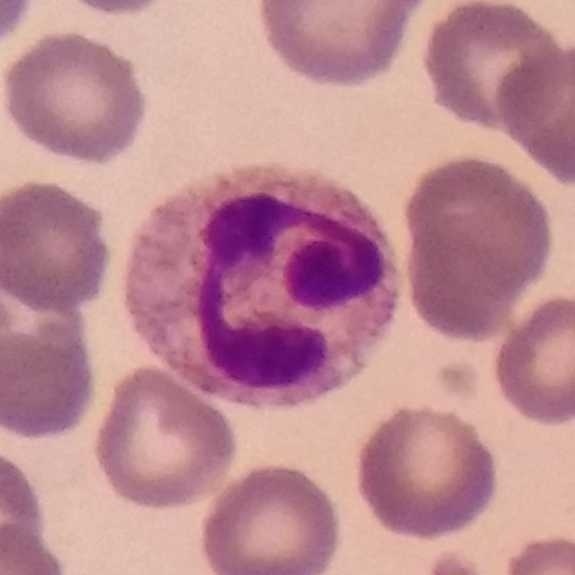

Cell = neutrophil granulocyte.

Image: Peripheral blood smear.